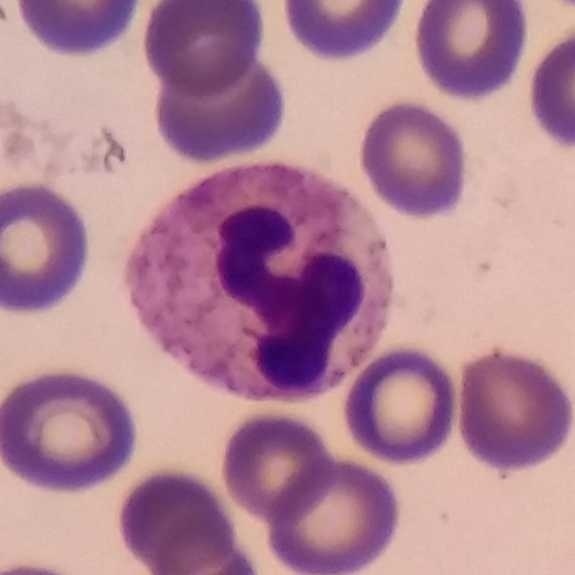
The white blood cell in this image is a neutrophilic granulocyte. Context: Peripheral blood film.